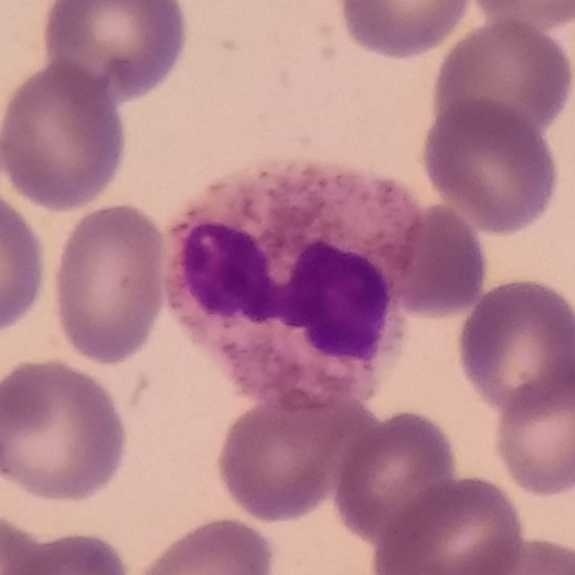

Cell: neutrophilic granulocyte.
Context: Peripheral blood film · 575×575 px.